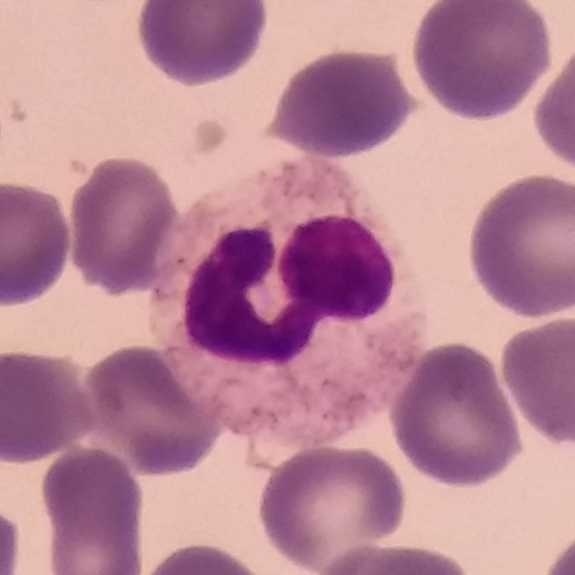

Peripheral blood smear. Cell type: neutrophil granulocyte.